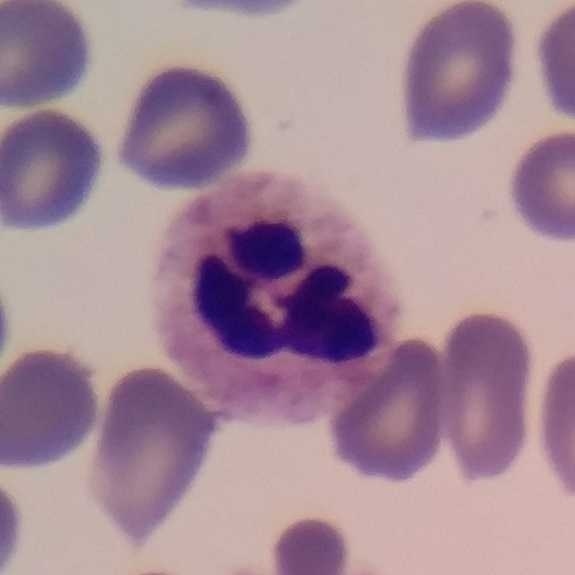

Morphology consistent with a neutrophil granulocyte.

Context: Single white blood cell cropped from the smear photograph · peripheral blood film.